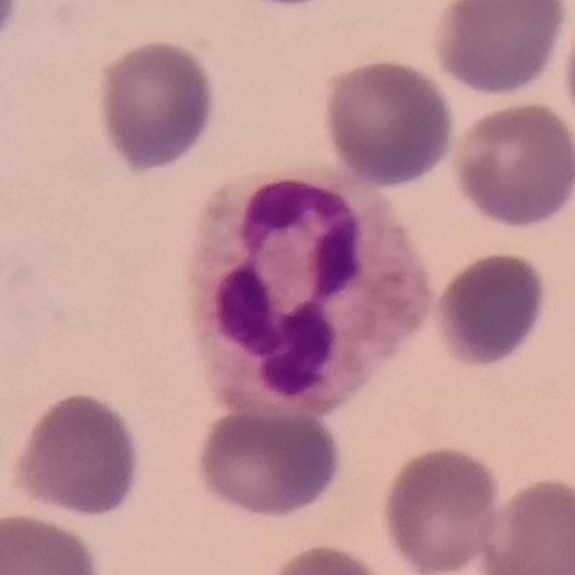

Image: 100× magnification. Specimen: peripheral blood film.
Morphological class: neutrophil.
Lineage: myeloid.